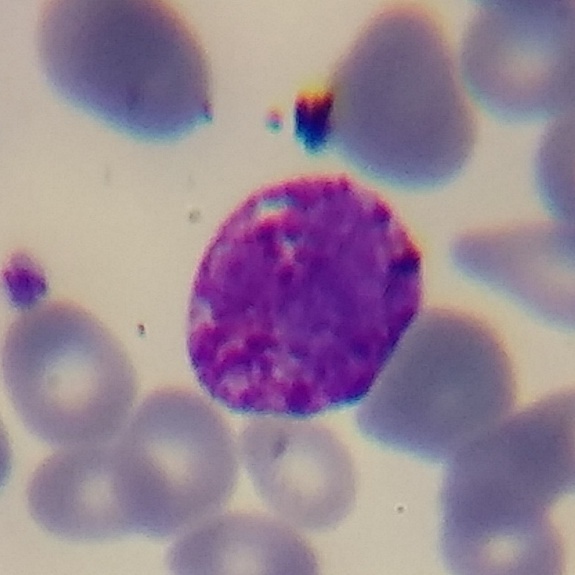

White blood cell type = basophilic granulocyte.